100× magnification; peripheral blood film: 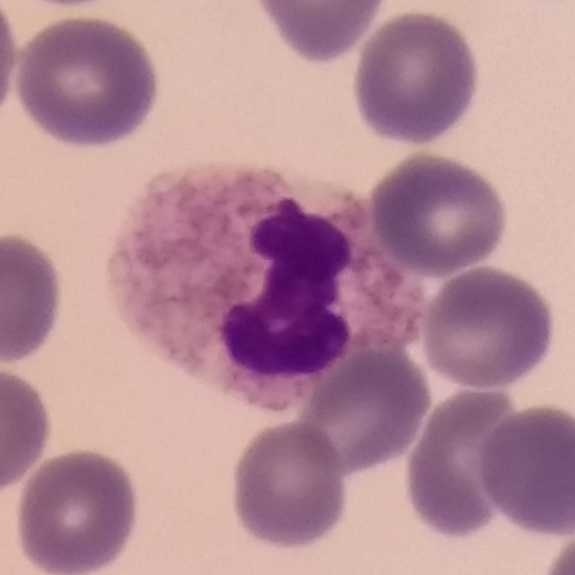 Q: What cell is this?
A: This is a neutrophilic granulocyte.